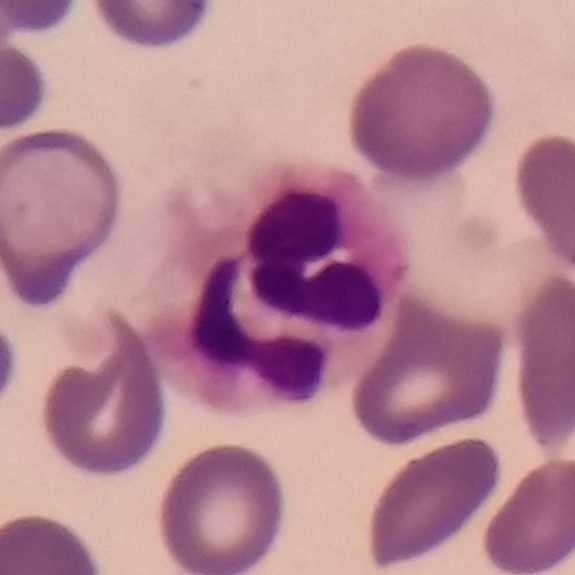

Impression → neutrophil granulocyte.

Acquisition: Peripheral blood film.